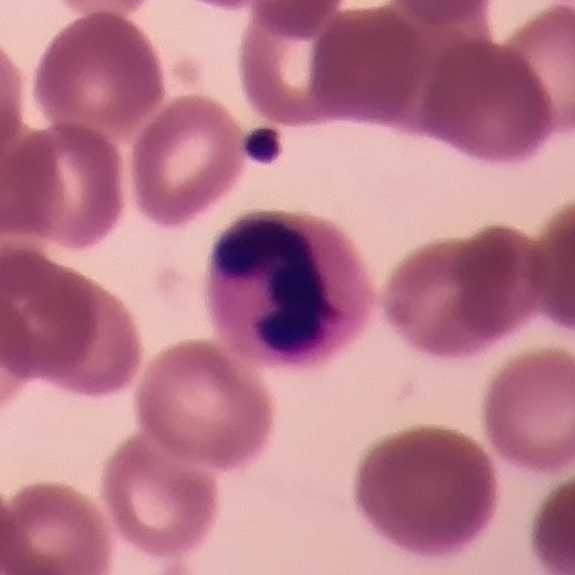
Peripheral blood film.
Cell type — neutrophil.